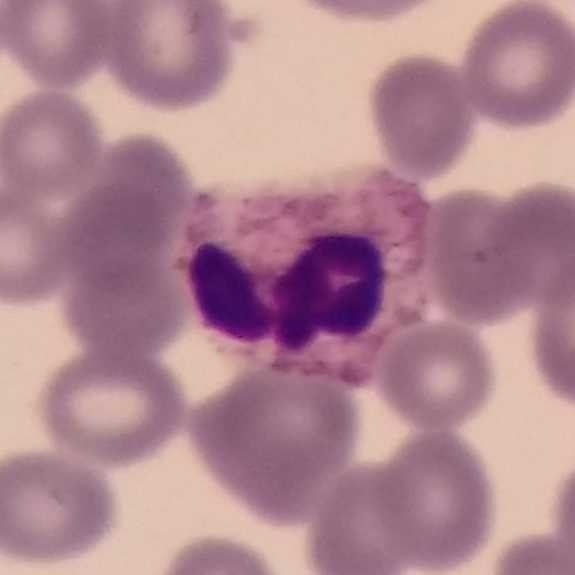

Morphology — neutrophil granulocyte.

Preparation: Peripheral blood film; stained with Giemsa; magnification 100×.